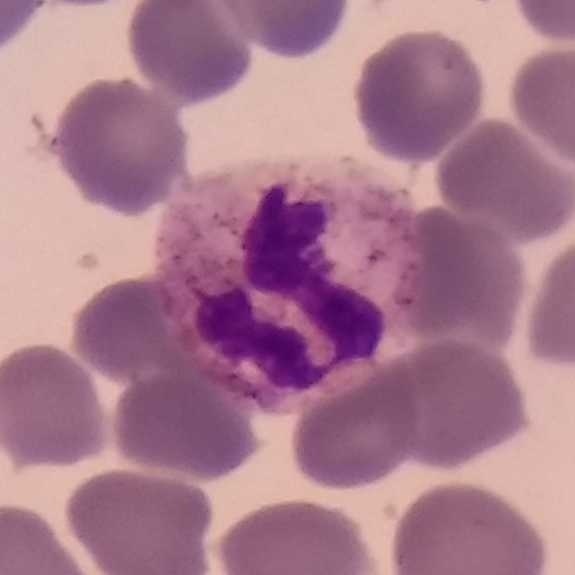This is a neutrophil.